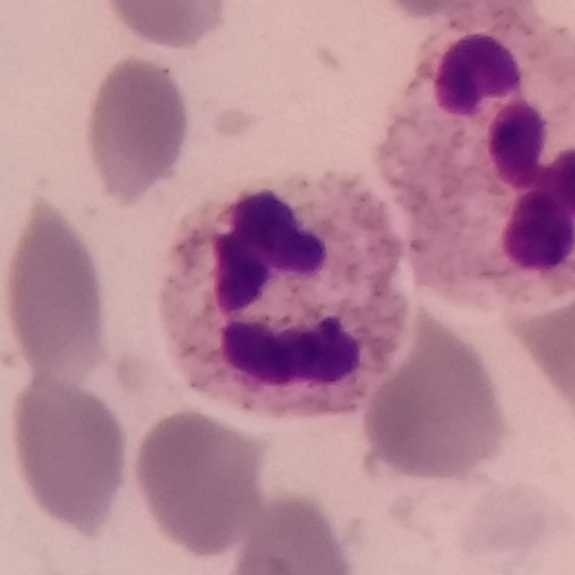From a peripheral blood smear: a neutrophil granulocyte.